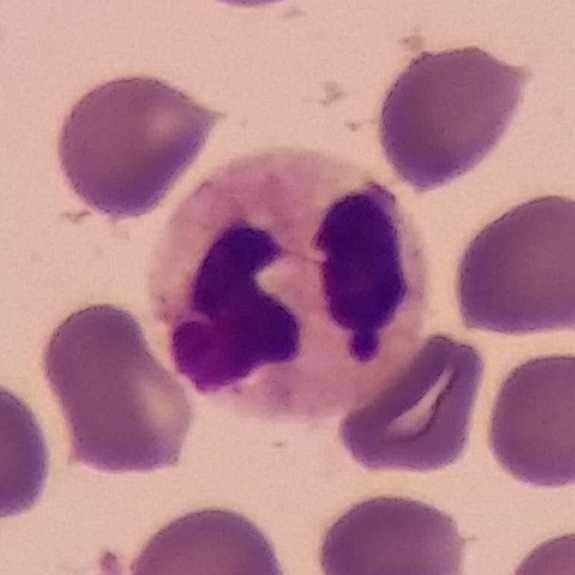
A neutrophilic granulocyte on a peripheral blood smear.